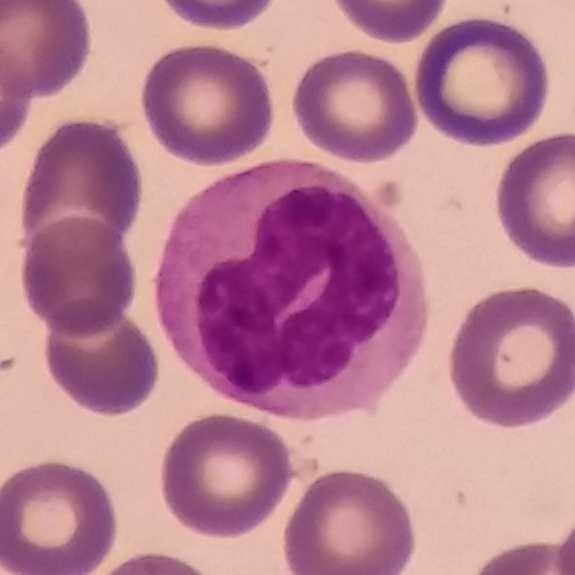
The cell type is monocyte. Image: Peripheral blood smear.